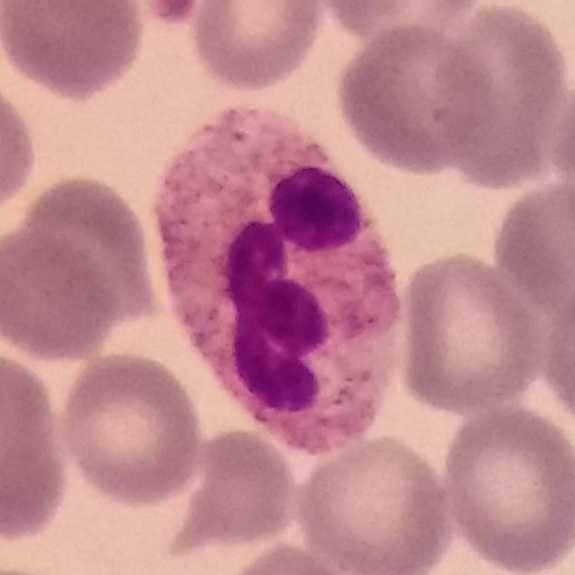
A neutrophil.